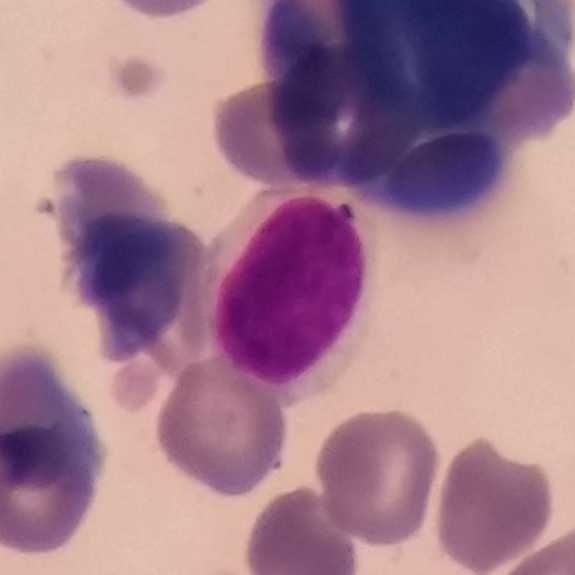

The white blood cell in this image is a lymphocyte.
Image: Peripheral blood smear.